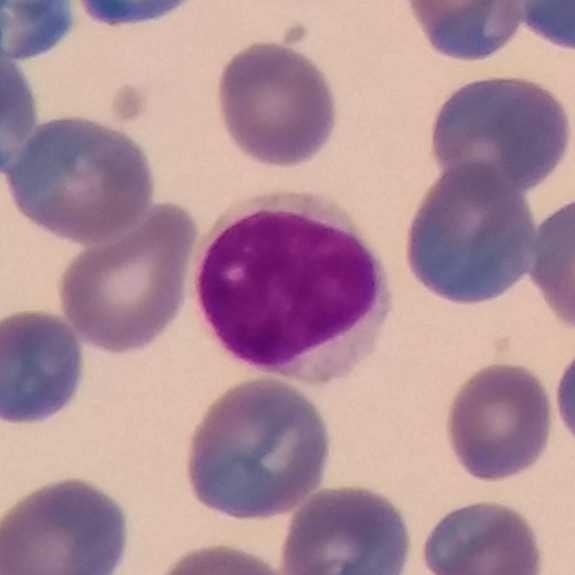Context: Peripheral blood smear · phone-camera image taken through the microscope ocular.
Impression → lymphocyte.